Peripheral blood smear; 575×575.
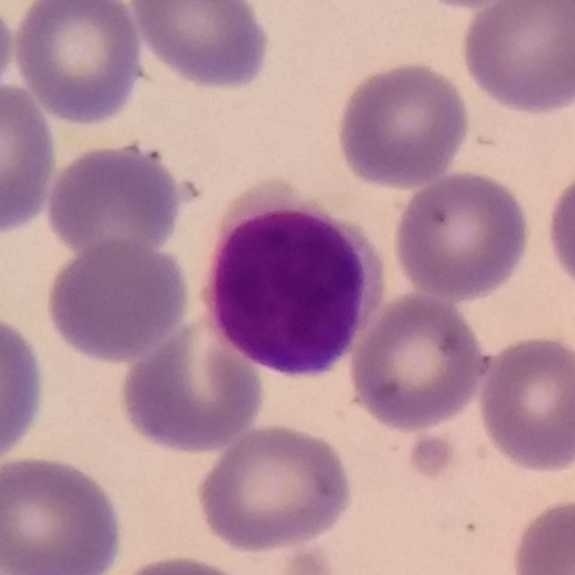

Single cell identified as a lymphocyte.